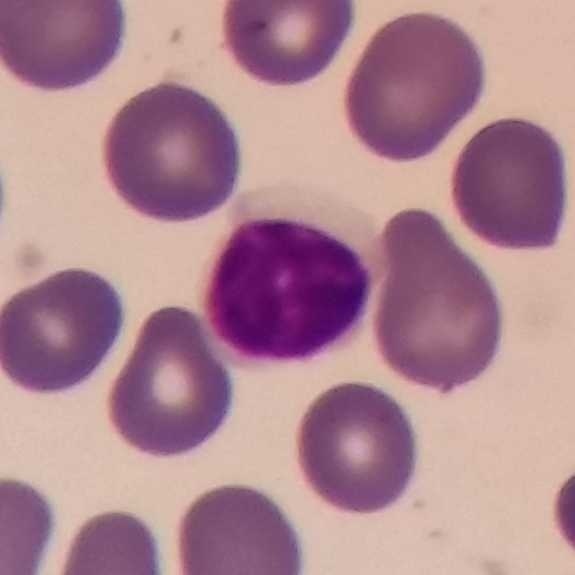Cell type = lymphocyte.
Image: Photographed through a light microscope with a smartphone camera · stained with Giemsa · peripheral blood film.